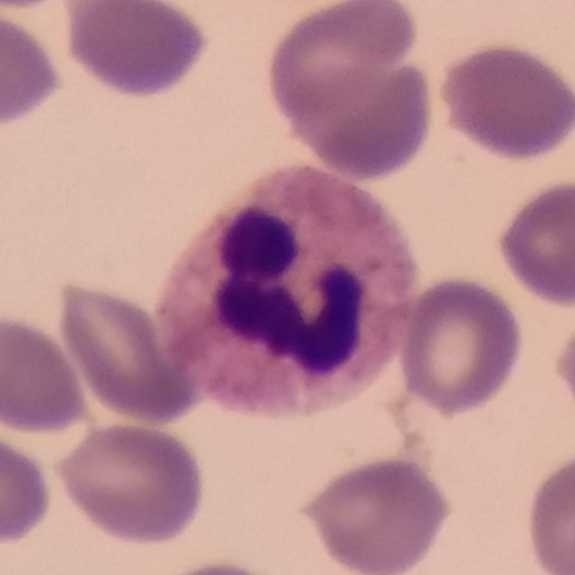

Acquisition: Smartphone camera mounted on the microscope eyepiece · peripheral blood smear.

Classification — neutrophil granulocyte.